Peripheral blood film · single-cell field — 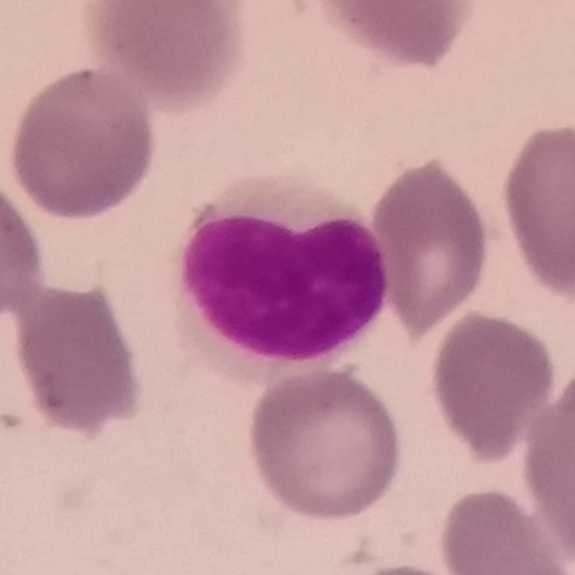 Cell — lymphocyte.